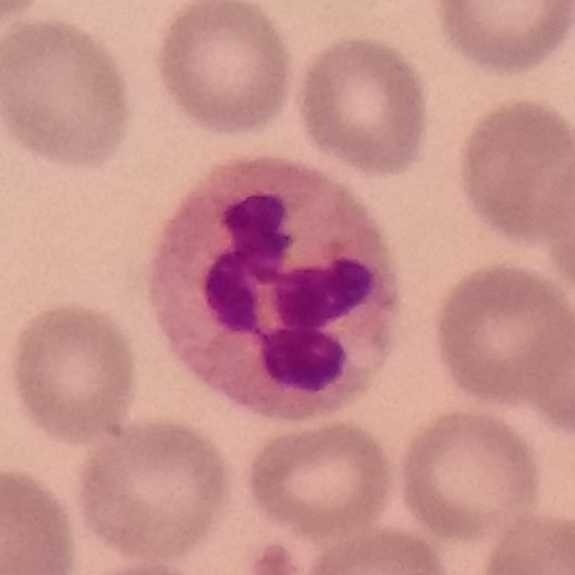 The white blood cell in this image is a neutrophil granulocyte. Preparation: Peripheral blood smear.